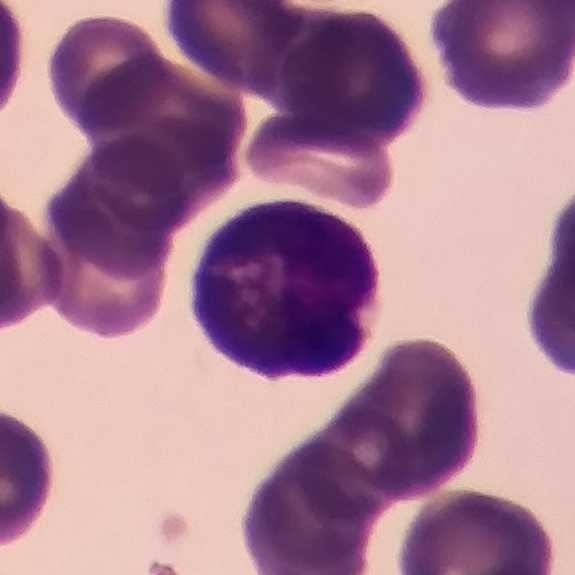

White blood cell type: eosinophilic granulocyte.
Preparation: Cropped to one leukocyte; peripheral blood smear.